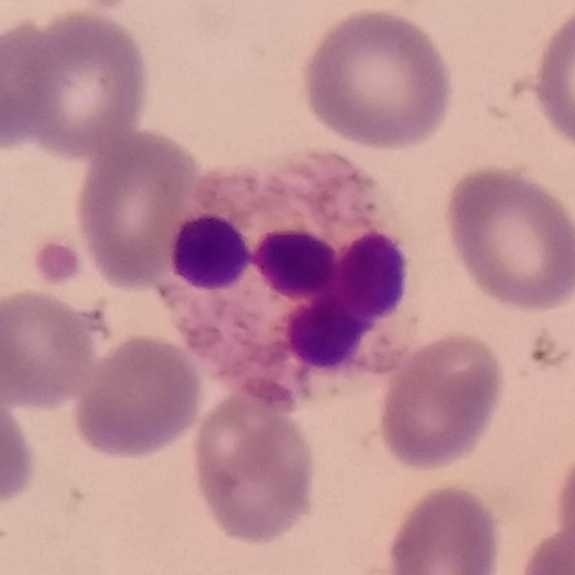

Specimen: peripheral blood film.
Classification: neutrophil granulocyte.
Lineage: myeloid.